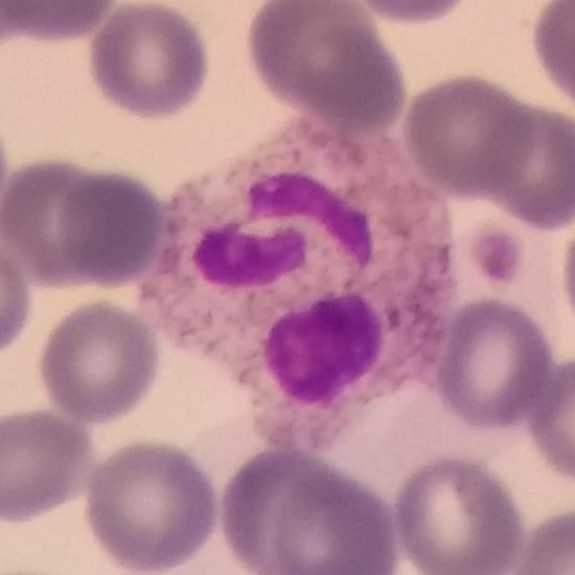Context: Peripheral blood smear. Giemsa stain.
The classification is neutrophilic granulocyte.